Peripheral blood smear: 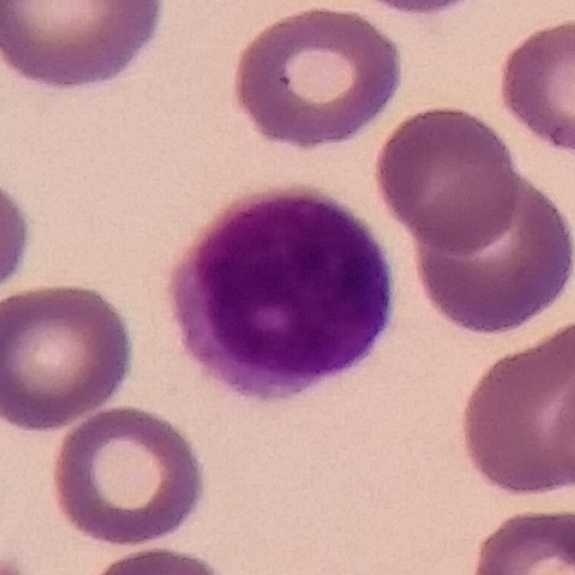

Morphology — lymphocyte.